Peripheral blood film
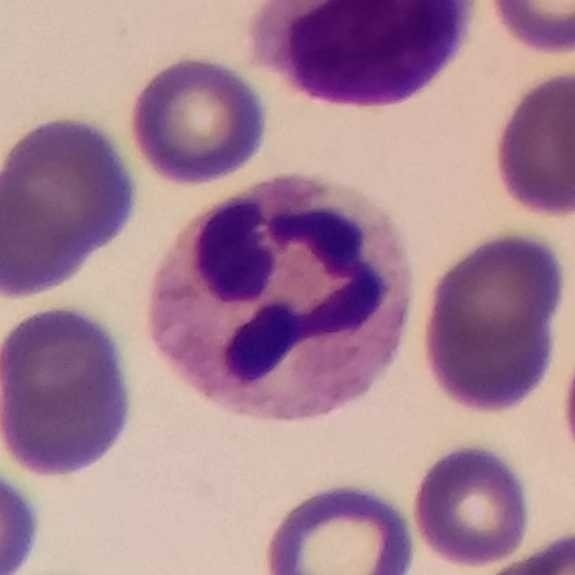Specimen: peripheral blood smear.
Morphological class: neutrophilic granulocyte.
Lineage: myeloid.